Peripheral blood film.
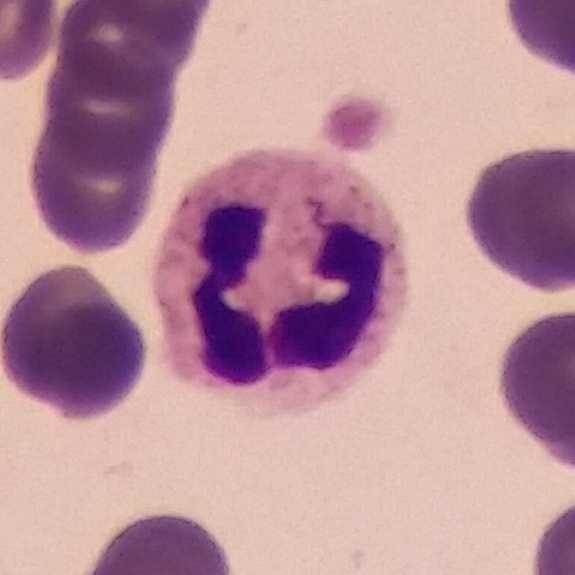A neutrophil granulocyte.